Peripheral blood film — 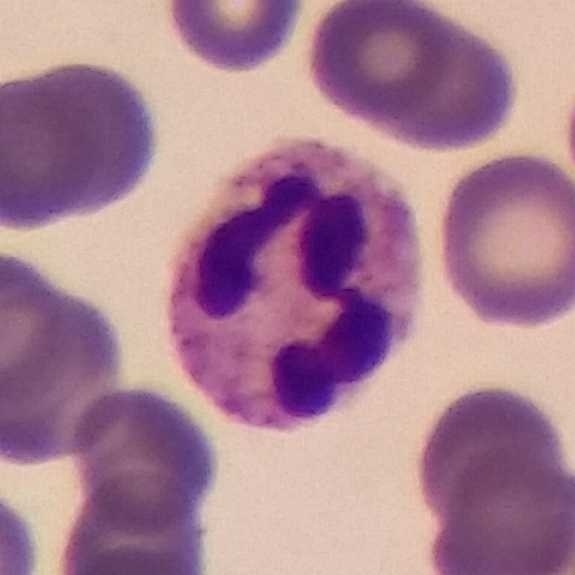 Morphology → neutrophilic granulocyte.